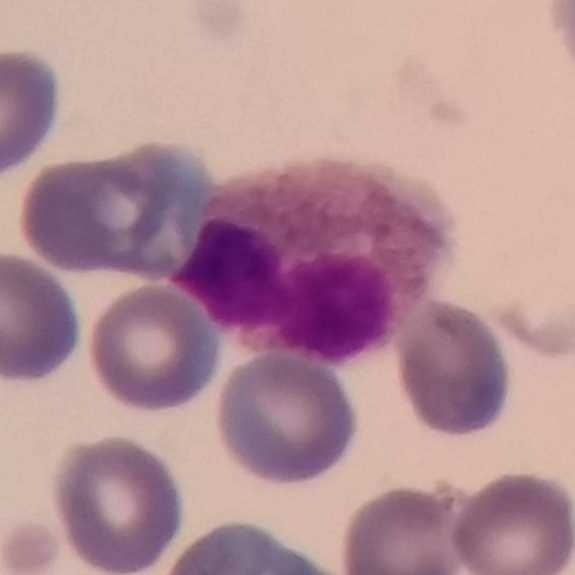

Context: Peripheral blood smear; photographed through a light microscope with a smartphone camera.
An eosinophilic granulocyte.